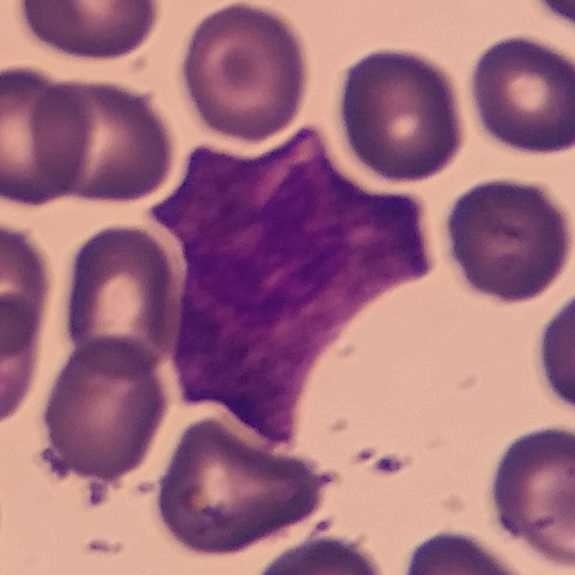 {"cell_type": "neutrophilic granulocyte", "lineage": "myeloid"}